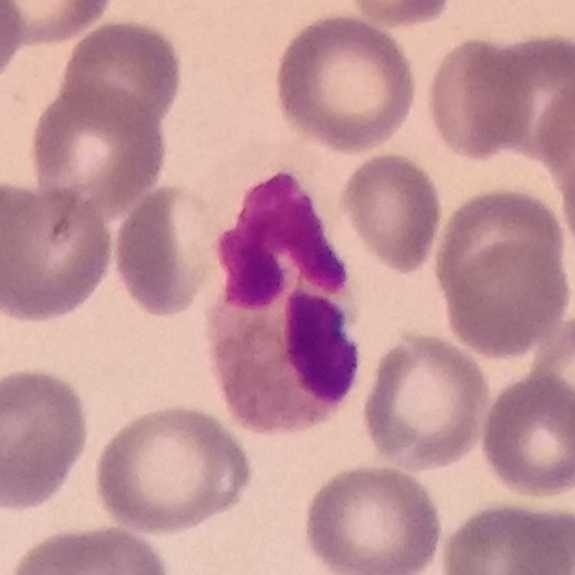 Acquisition: Peripheral blood film. Cell type — neutrophil granulocyte.